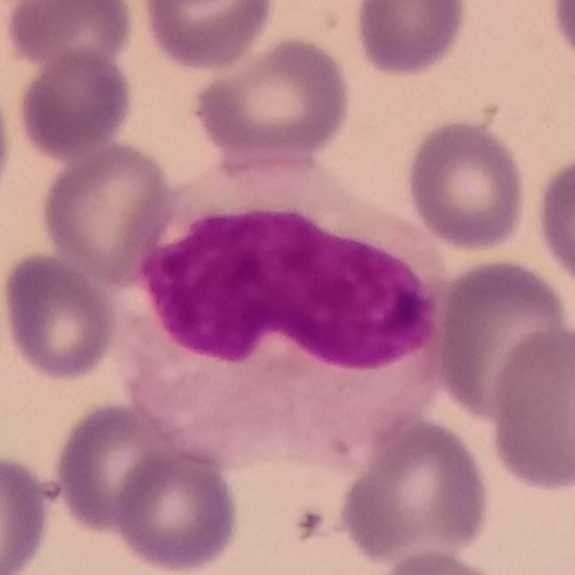

Context: Peripheral blood film.
White blood cell type — monocyte.